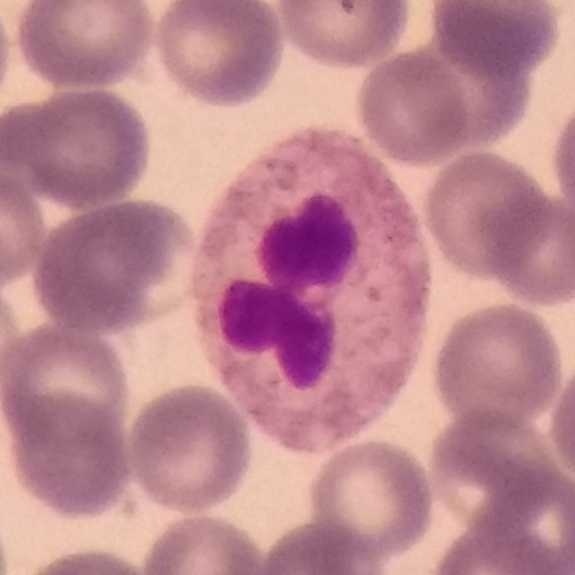Acquisition: Peripheral blood smear. Q: Identify the cell.
A: This is a neutrophil granulocyte.